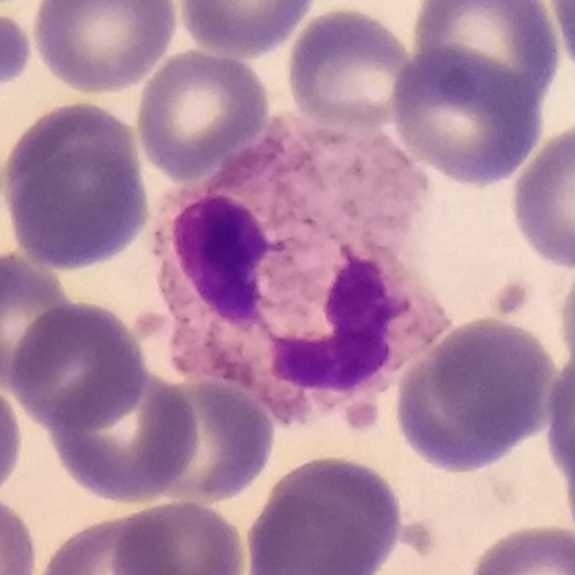 Specimen: peripheral blood smear.
Cell type: neutrophilic granulocyte.